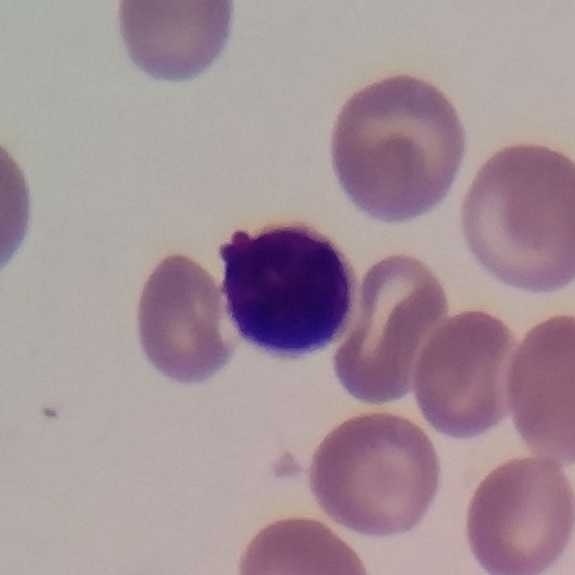

Q: What is this?
A: It is a lymphocyte.